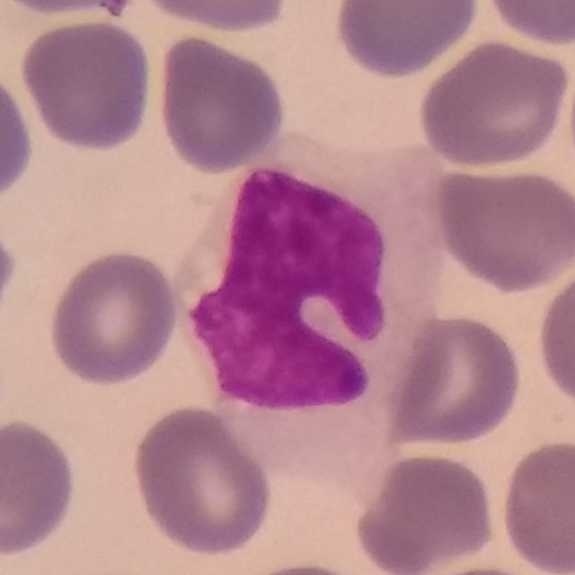Morphological class = monocyte. Preparation: Peripheral blood film.